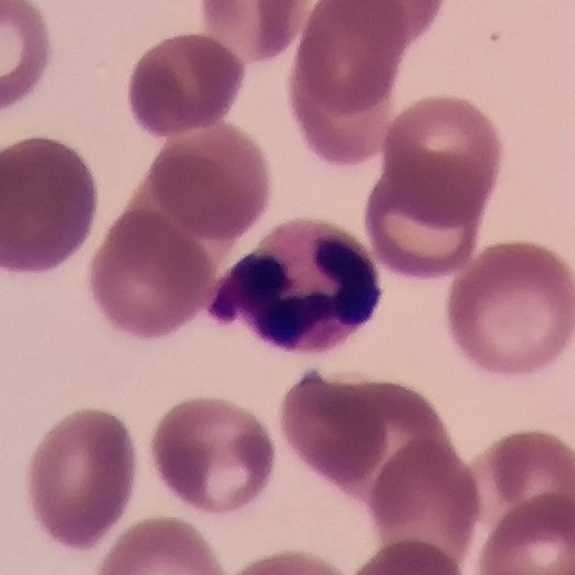Q: What type of cell is this?
A: This is a neutrophilic granulocyte.

Peripheral blood smear.